Peripheral blood smear: 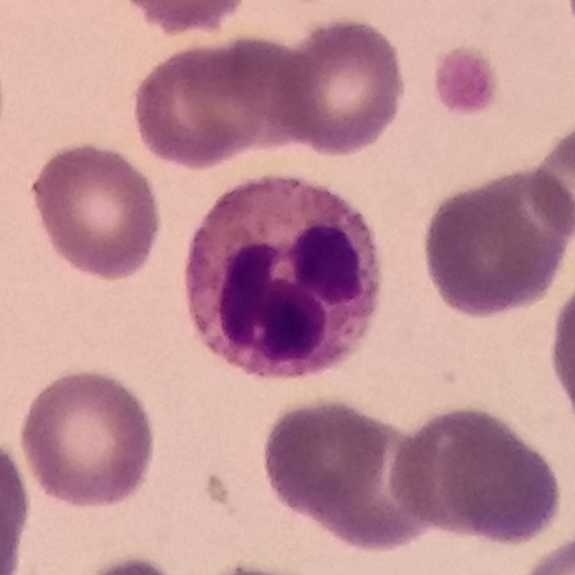Specimen: peripheral blood film.
White blood cell type: neutrophilic granulocyte.